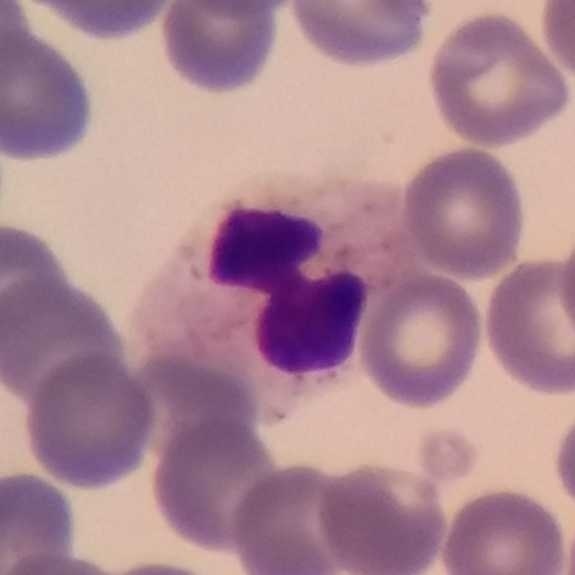Image: Peripheral blood smear.
Impression — neutrophil.